Giemsa stain; peripheral blood smear:
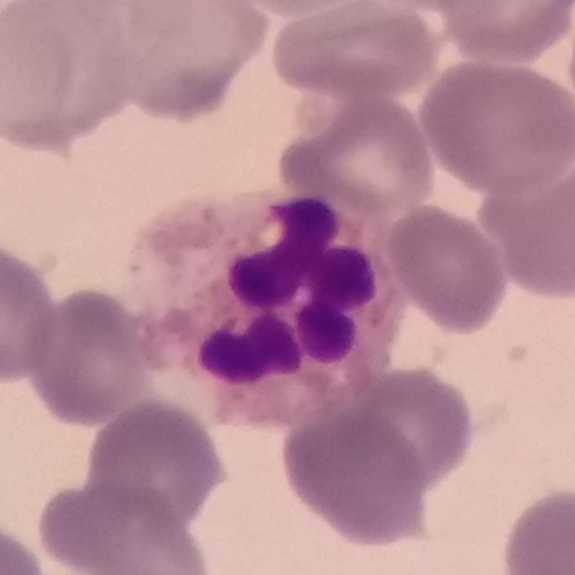
Morphological class: neutrophilic granulocyte.